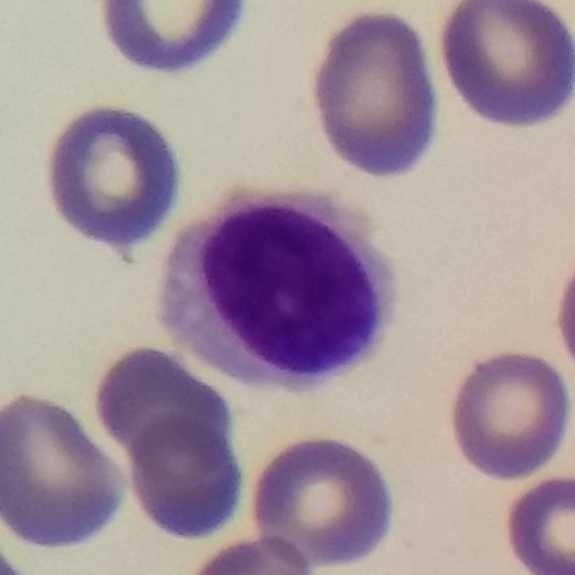Morphological class = lymphocyte.

Acquisition: Peripheral blood film.